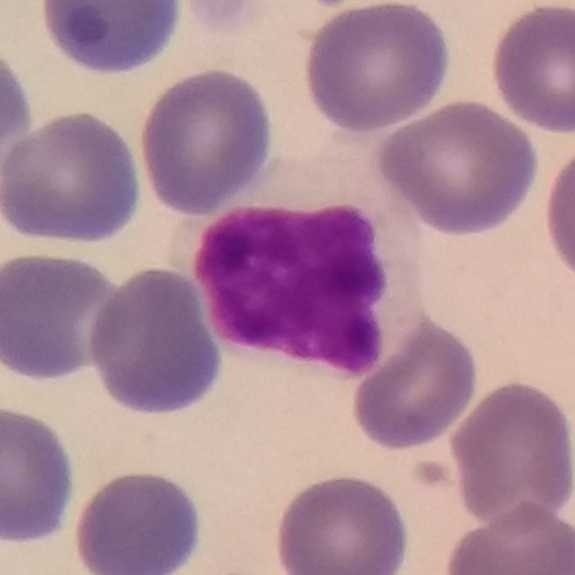A lymphocyte on a peripheral blood smear.